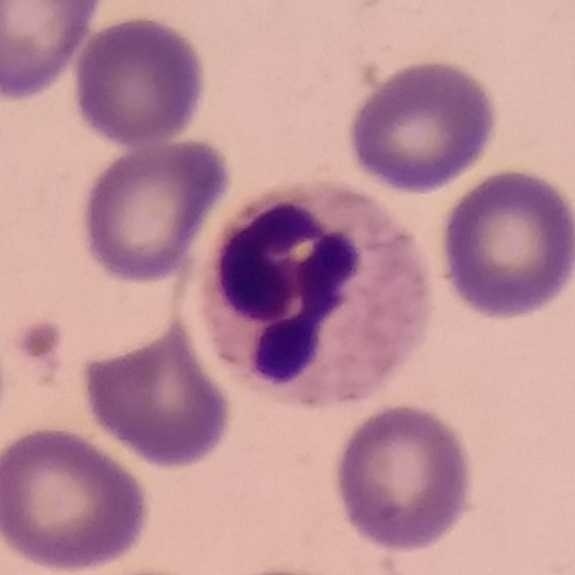Context: Peripheral blood film.

Classification = neutrophilic granulocyte.